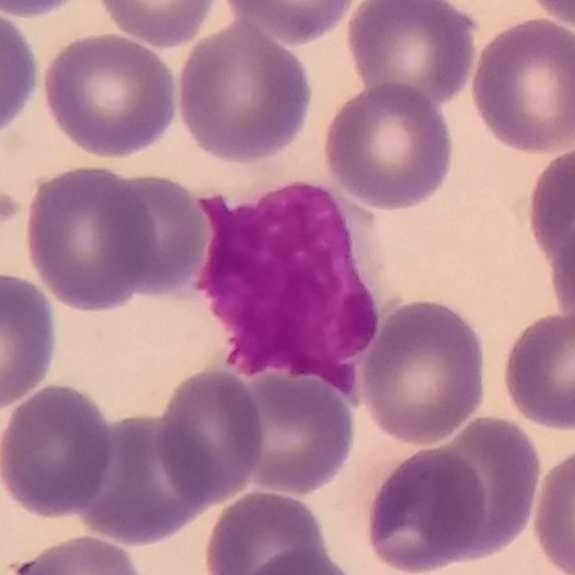 Morphology consistent with a lymphocyte.